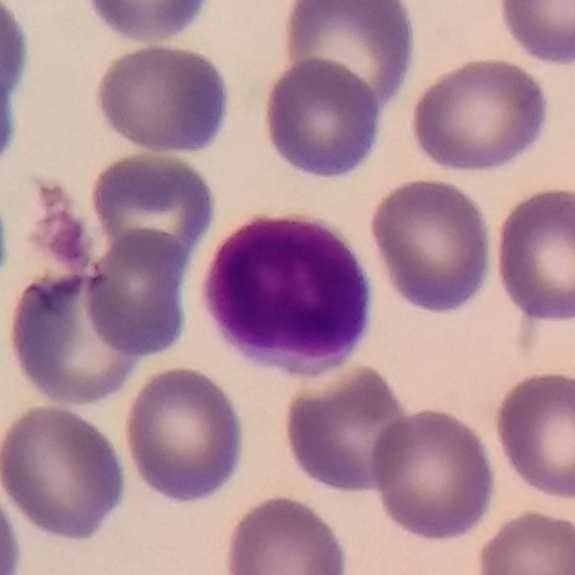The white blood cell in this image is a lymphocyte.

Context: 100× magnification. Peripheral blood smear. 575 by 575 pixels.